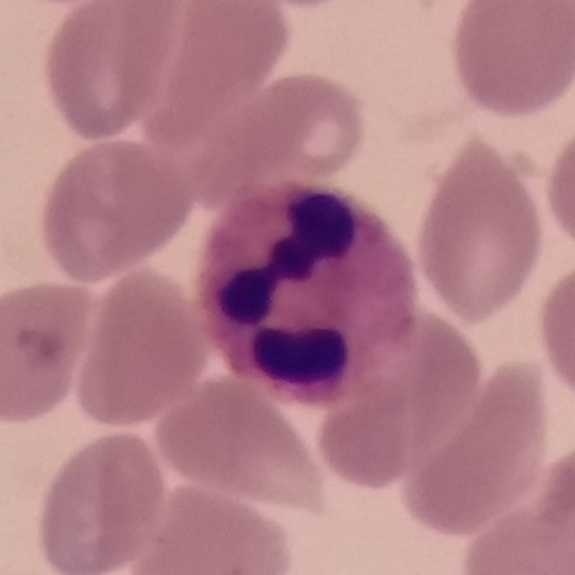

Peripheral blood film.
Single cell identified as a neutrophil.